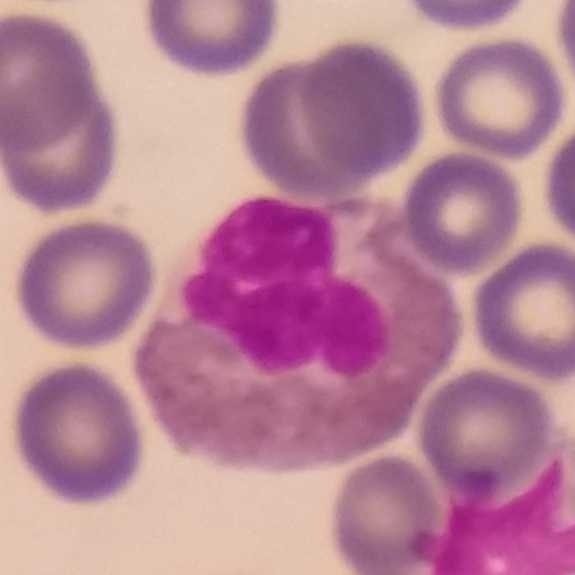 Acquisition: Smartphone camera mounted on the microscope eyepiece · peripheral blood film.
Identified as an eosinophilic granulocyte.